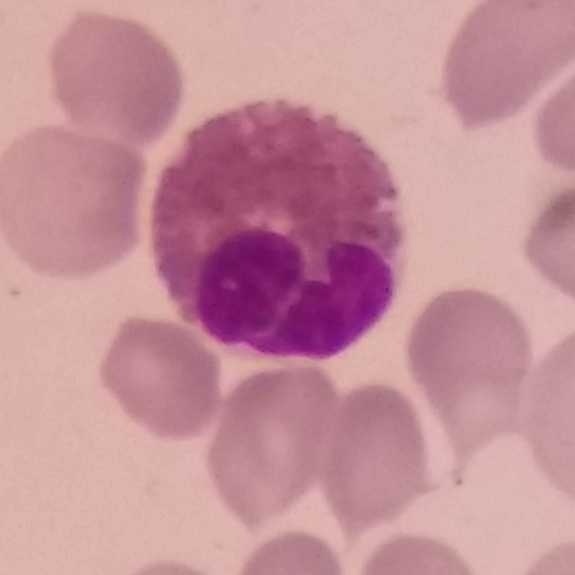 {"cell_type": "eosinophilic granulocyte", "lineage": "myeloid"} Image: Peripheral blood smear.